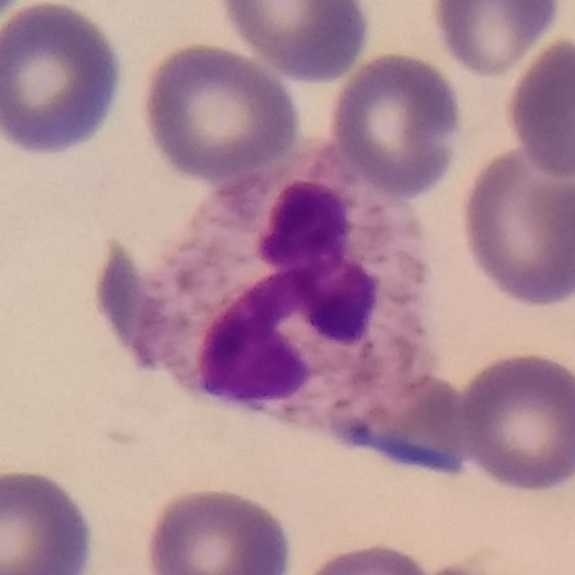Context: Peripheral blood film. Q: Which cell type is shown here?
A: It is a neutrophilic granulocyte.